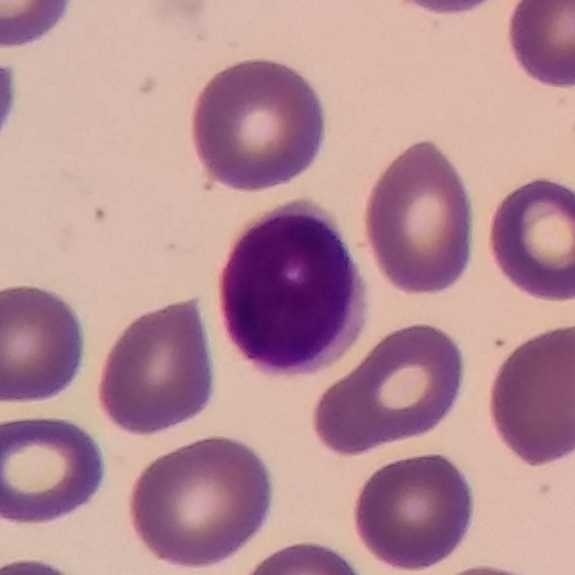

Q: Which cell type is shown here?
A: This is a lymphocyte.

Context: Giemsa stain; peripheral blood smear.